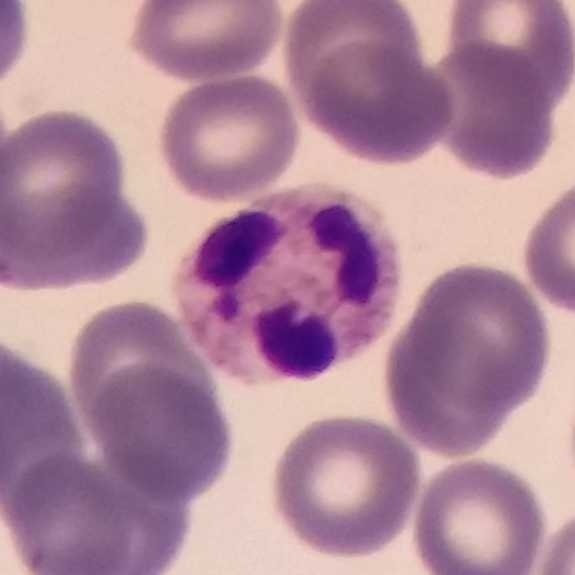 Acquisition: Peripheral blood film; smartphone camera mounted on the microscope eyepiece; 575 by 575 pixels.
Q: What cell is this?
A: This is a neutrophil granulocyte.